Peripheral blood smear:
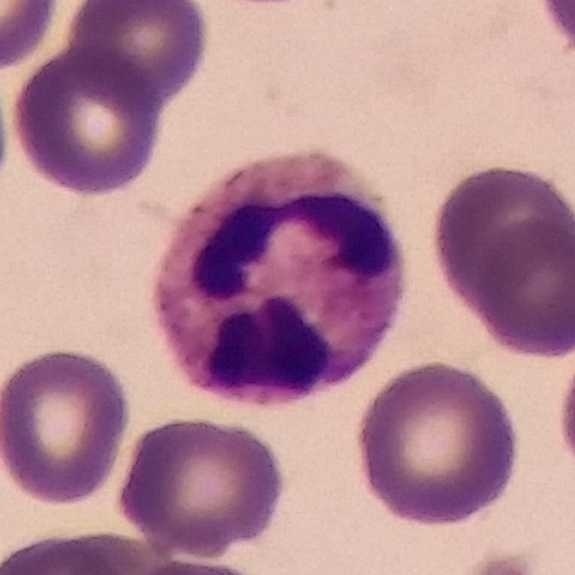
Morphology consistent with a neutrophil granulocyte.